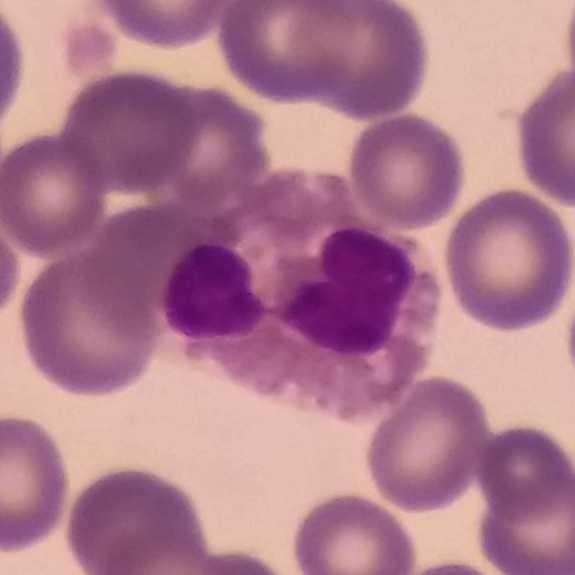
Cell type — eosinophil.